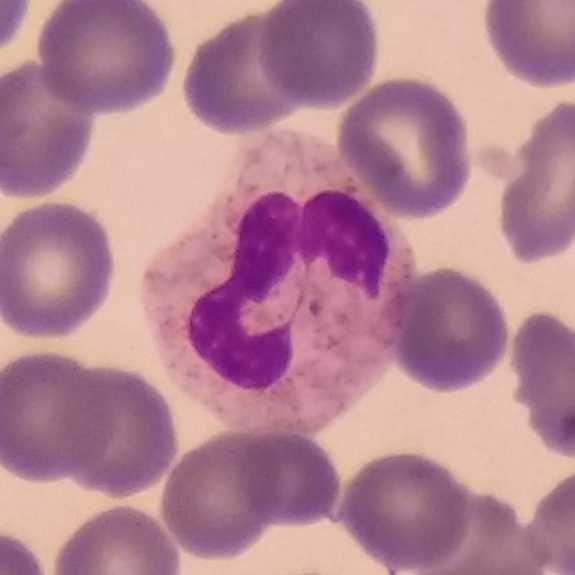

White blood cell type = neutrophil.